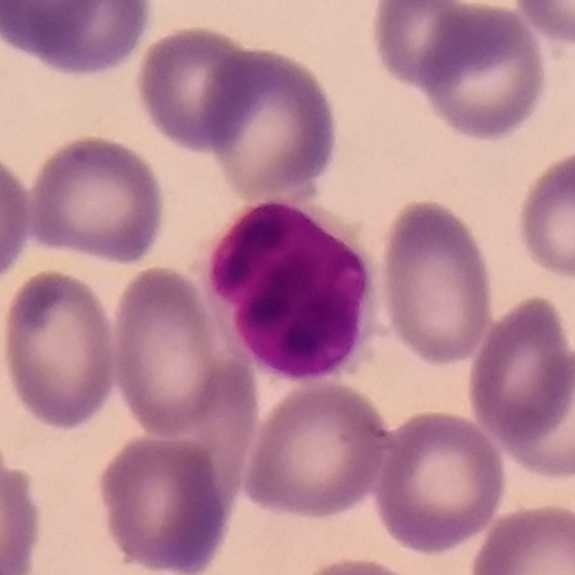Classification = lymphocyte.